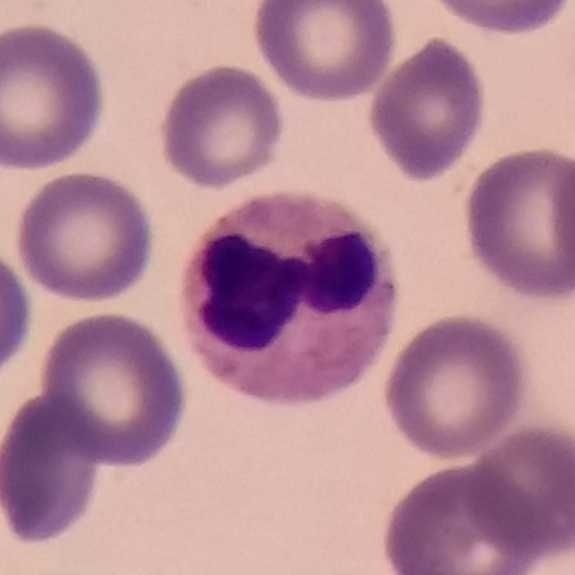

Image: Peripheral blood film.

Morphology consistent with a neutrophil granulocyte.